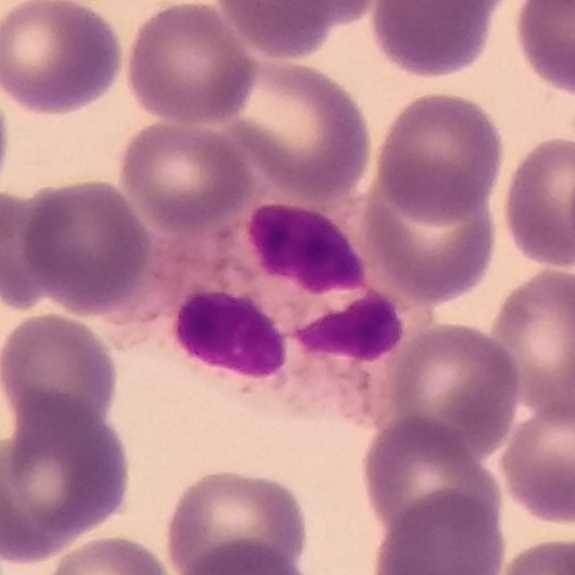 This is a neutrophil.

Context: Giemsa stain · peripheral blood film.